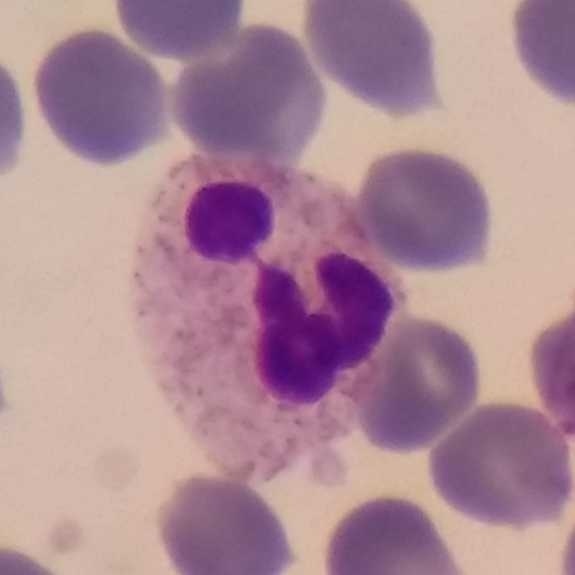
Peripheral blood smear. Stained with Giemsa. The cell shown is a neutrophilic granulocyte.